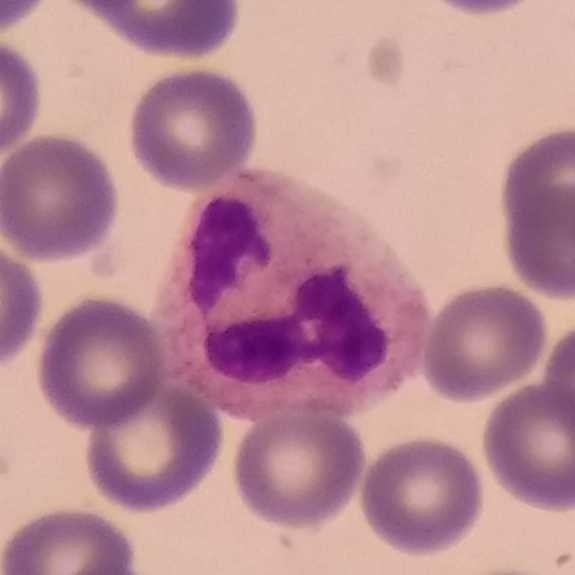Identified as a neutrophil granulocyte.

Peripheral blood smear.